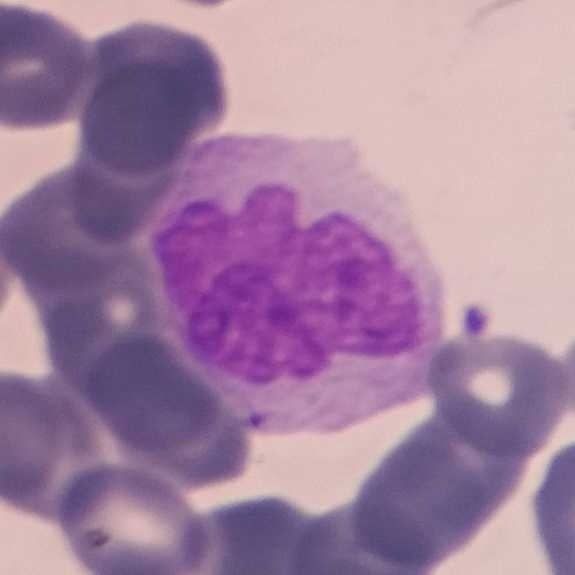Acquisition: Magnification 100× · image size 575×575 · peripheral blood smear.
The cell type is monocyte.